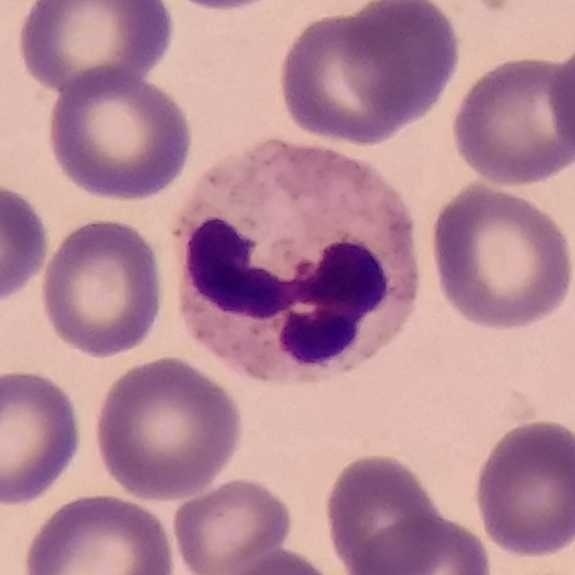

Morphological class = neutrophil.
Acquisition: Cropped to one leukocyte · peripheral blood film.